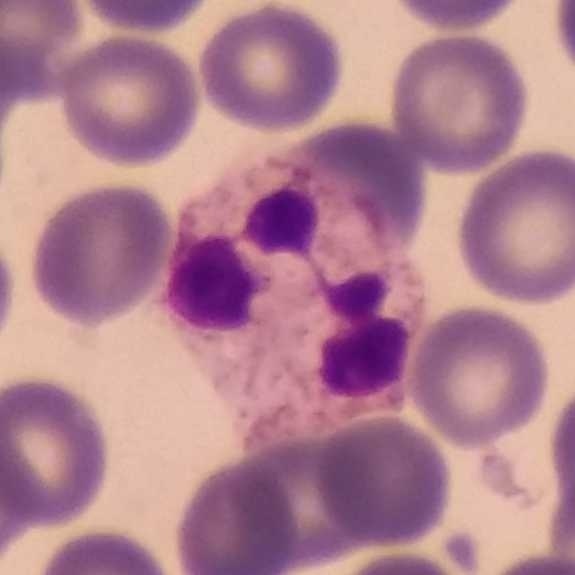 Preparation: Peripheral blood smear.
The cell shown is a neutrophilic granulocyte.